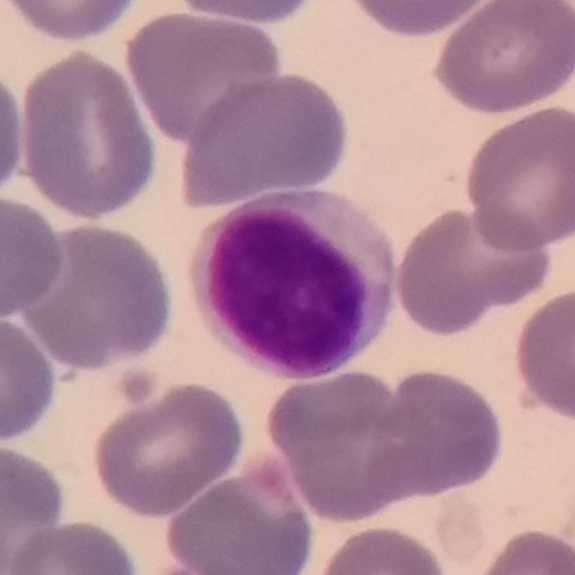Morphological class = lymphocyte.